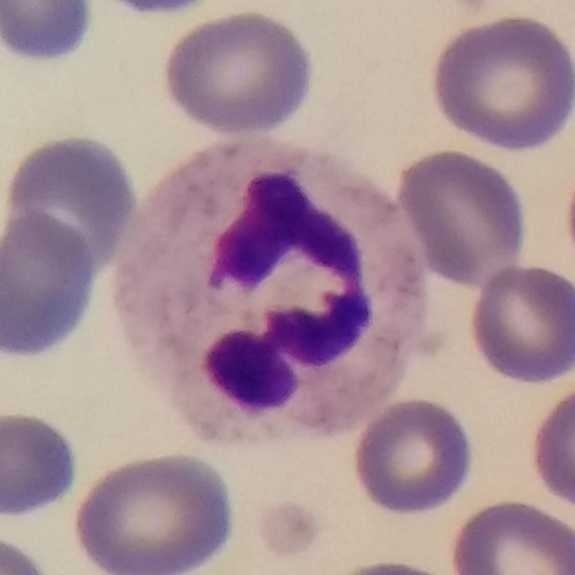

Q: What is shown here?
A: Neutrophil granulocyte.